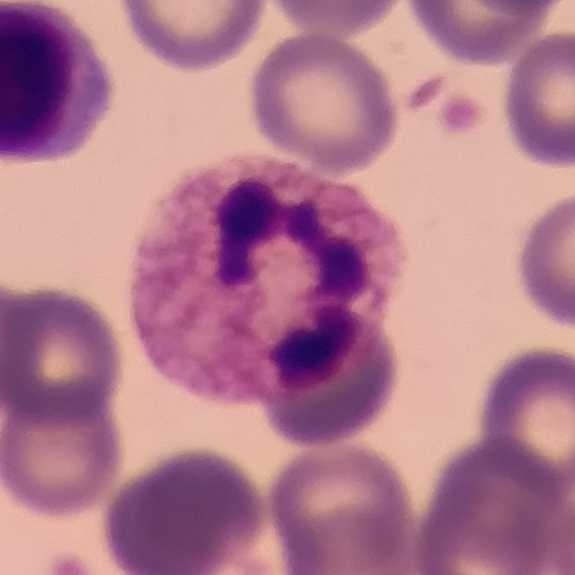

The morphological class is neutrophil.